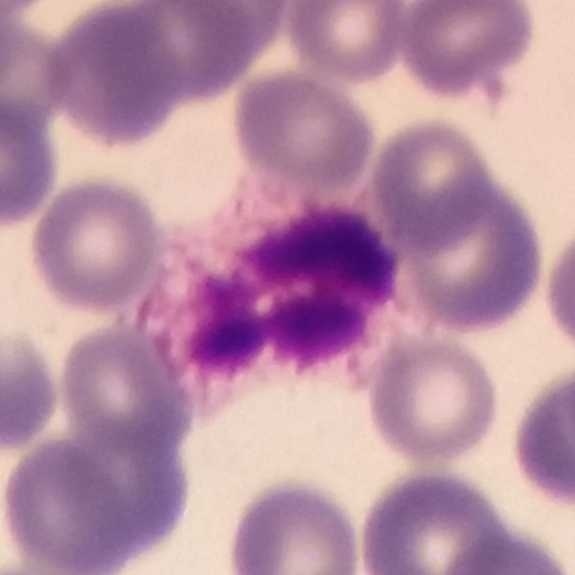
Cell type = neutrophil. Acquisition: Peripheral blood film.